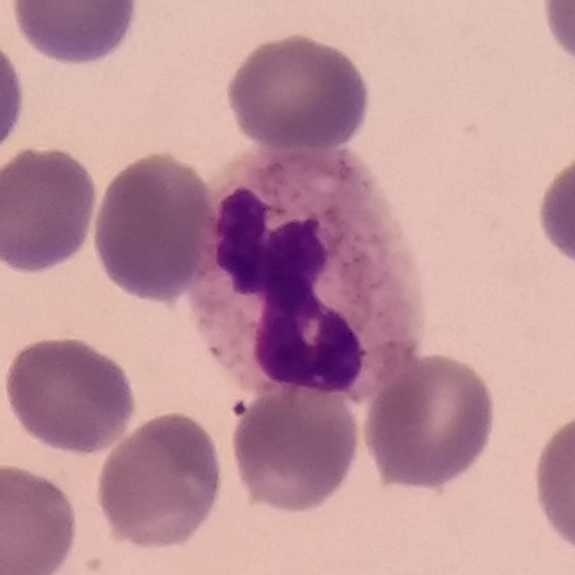

Image: Peripheral blood smear.
Cell: neutrophil.